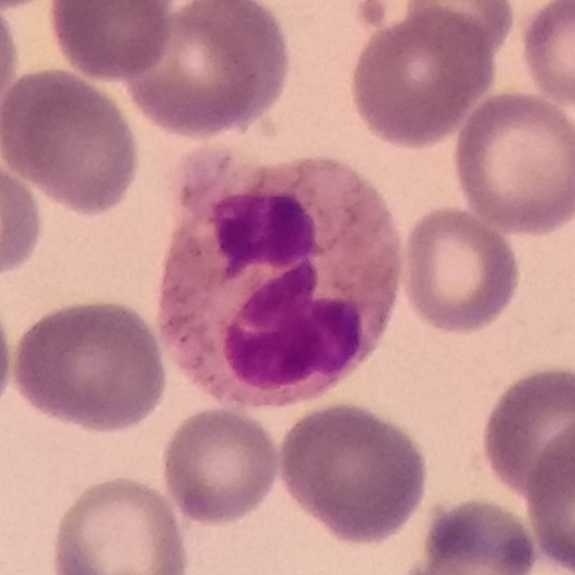 White blood cell from a peripheral blood smear: neutrophilic granulocyte.